Peripheral blood smear. Giemsa-stained. Smartphone photomicrograph — 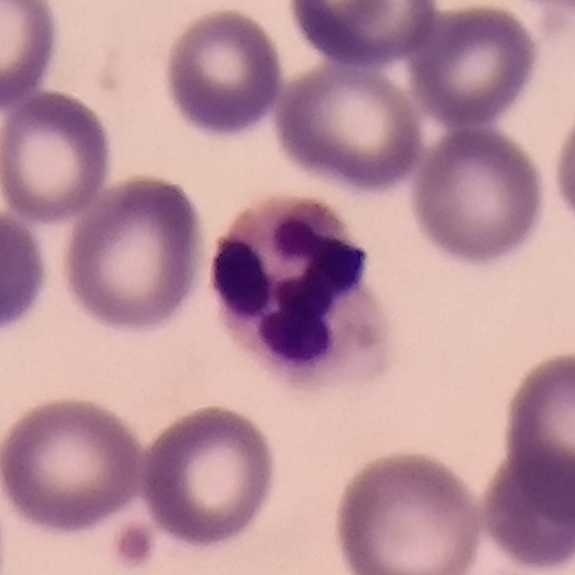 Single cell identified as a neutrophil.